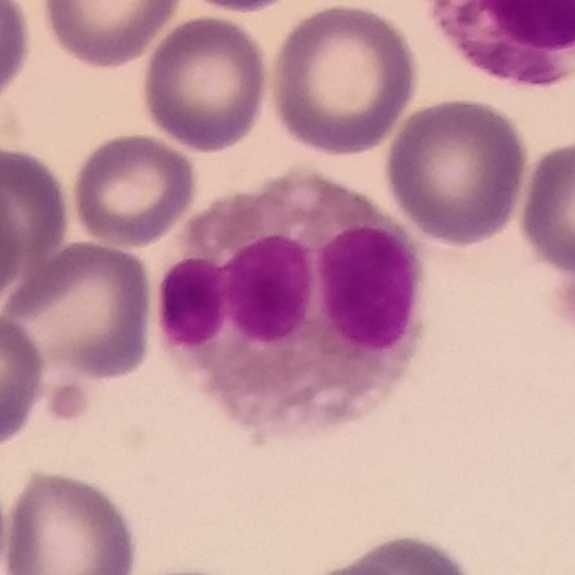Eosinophil.